Peripheral blood film — 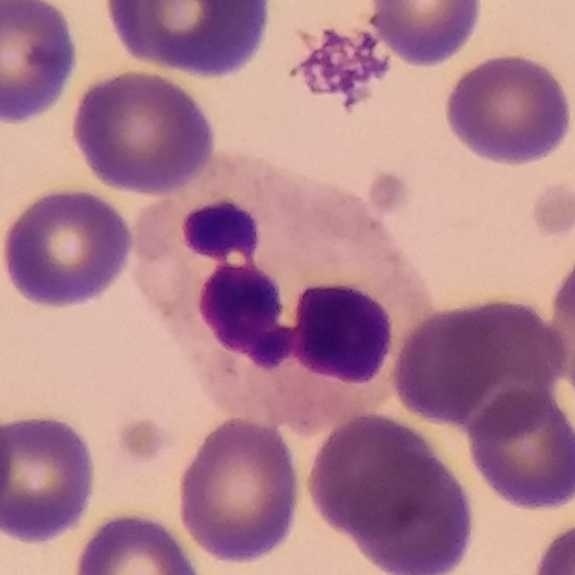 The white blood cell in this image is a neutrophil granulocyte.